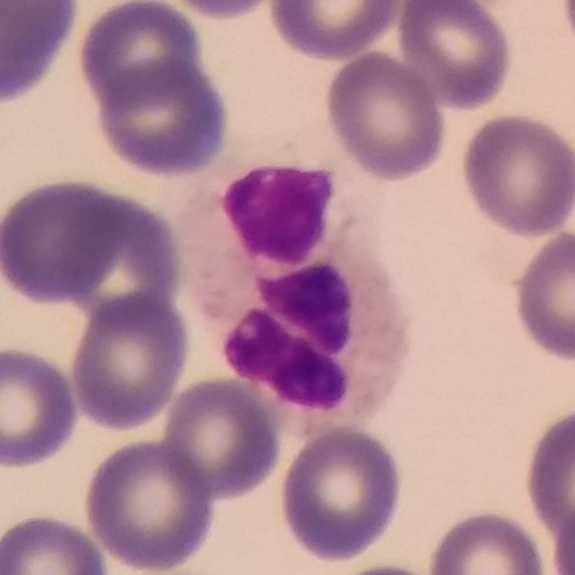

White blood cell type — neutrophil.